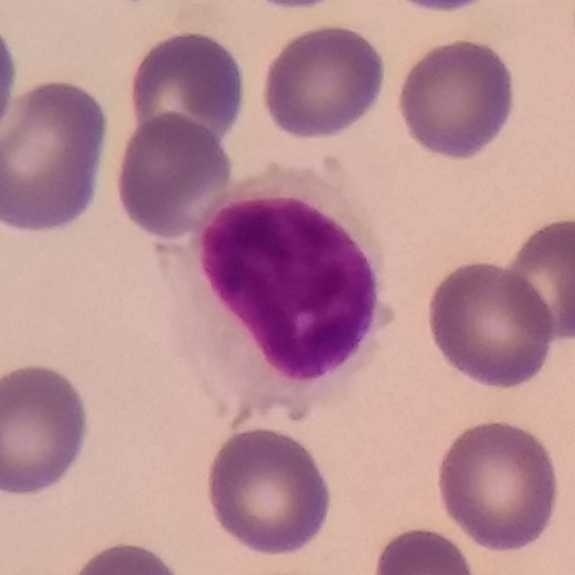
Cell: lymphocyte.